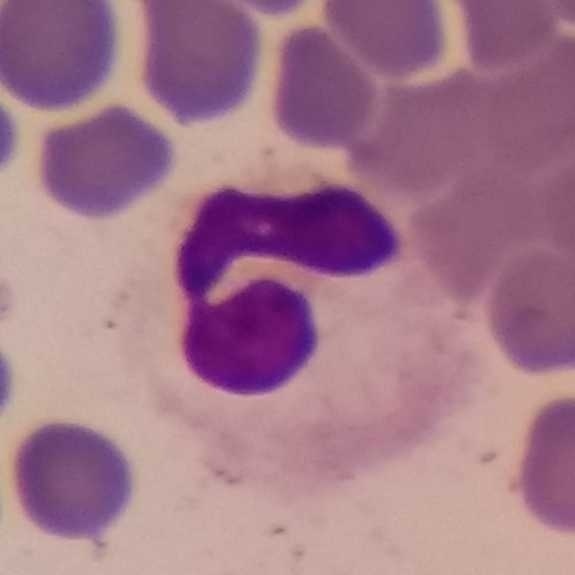

Specimen: peripheral blood film.
Morphological class: neutrophil.
Lineage: myeloid.